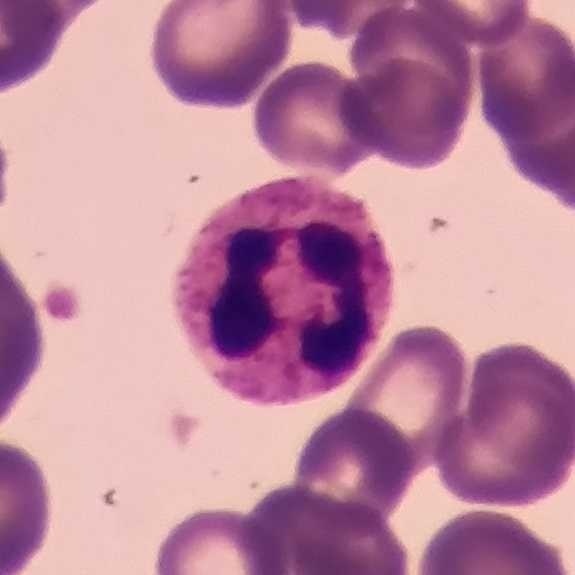
{"cell_type": "neutrophil granulocyte"}